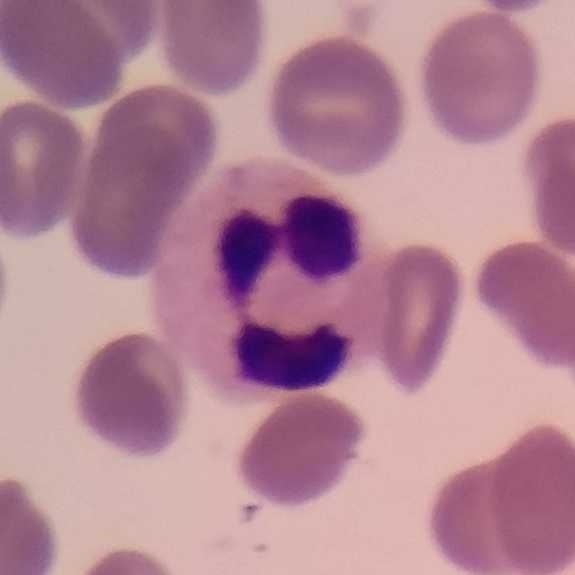
Q: What type of cell is this?
A: This is a neutrophil granulocyte.
Peripheral blood smear.